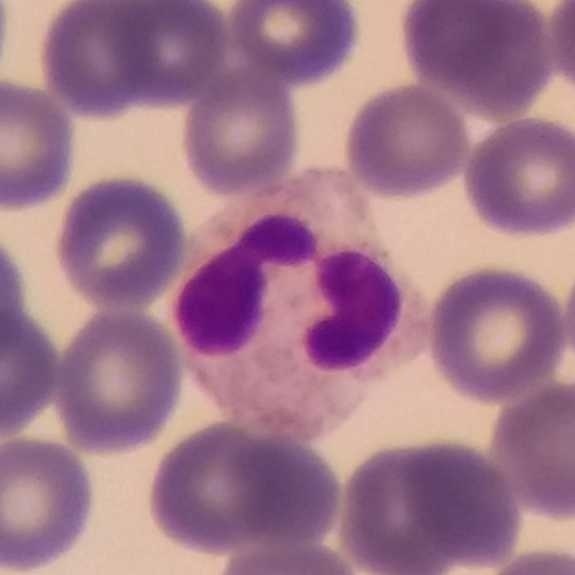 Acquisition: 575×575 · photographed through a light microscope with a smartphone camera · peripheral blood film.

Q: What is the morphological classification of this cell?
A: It is a neutrophilic granulocyte.